Peripheral blood smear: 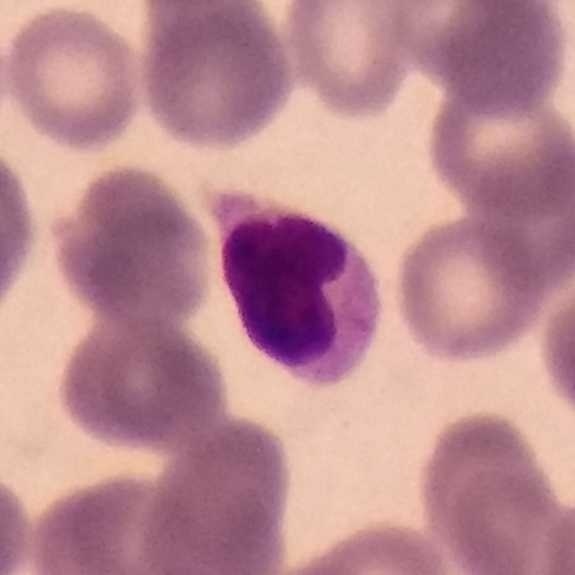 Morphology — lymphocyte.